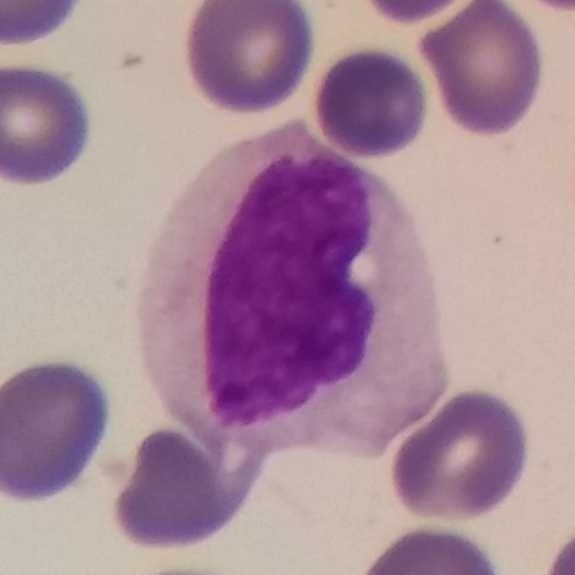 Specimen: peripheral blood smear.
Cell type: monocyte.
Lineage: myeloid.